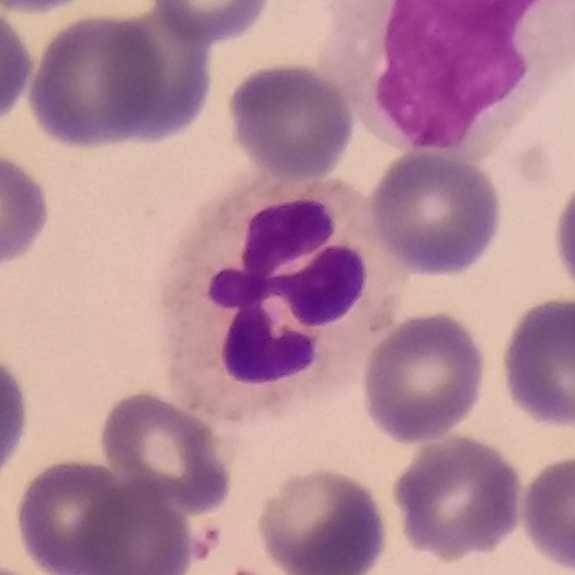
The cell is neutrophilic granulocyte.